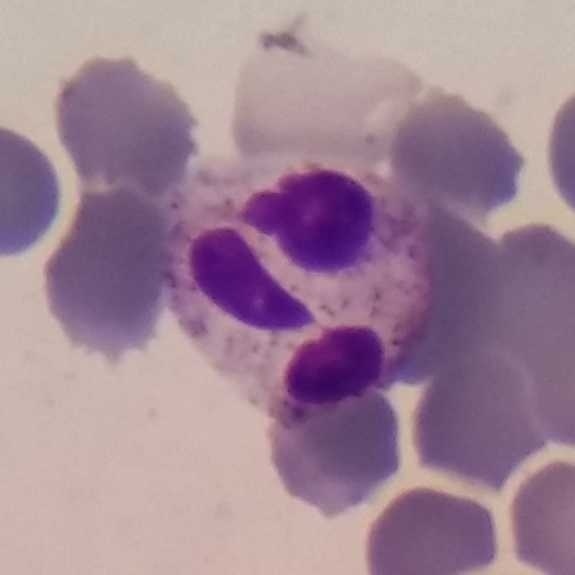

Peripheral blood smear.

Q: Which type of white blood cell is this?
A: A neutrophil granulocyte.